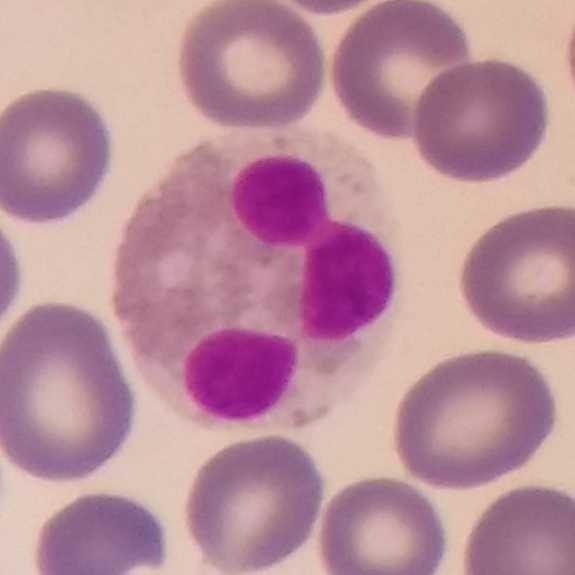

Specimen: peripheral blood smear.
Classification: eosinophil.